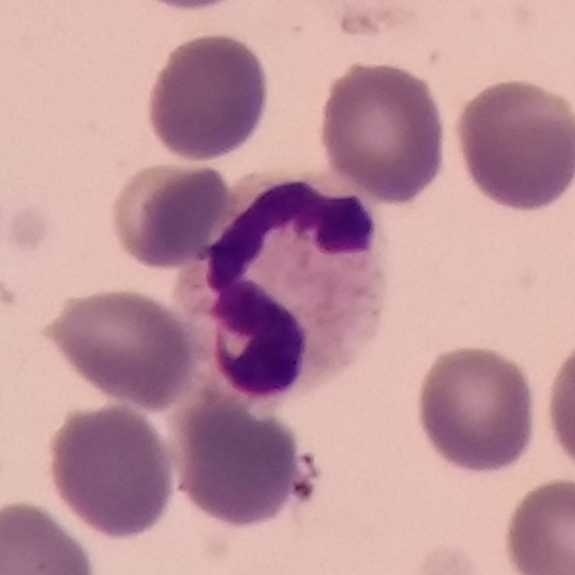

Acquisition: Peripheral blood film. This is a neutrophil.